Magnification 100×. Peripheral blood film. 575×575:
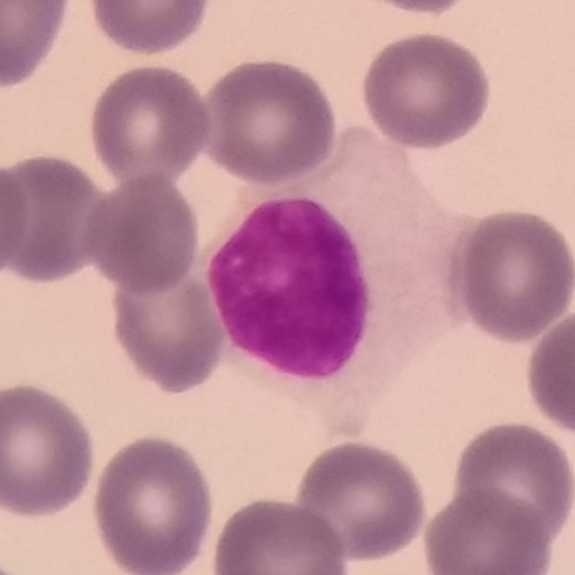 Specimen: peripheral blood smear.
Classification: lymphocyte.